Peripheral blood smear: 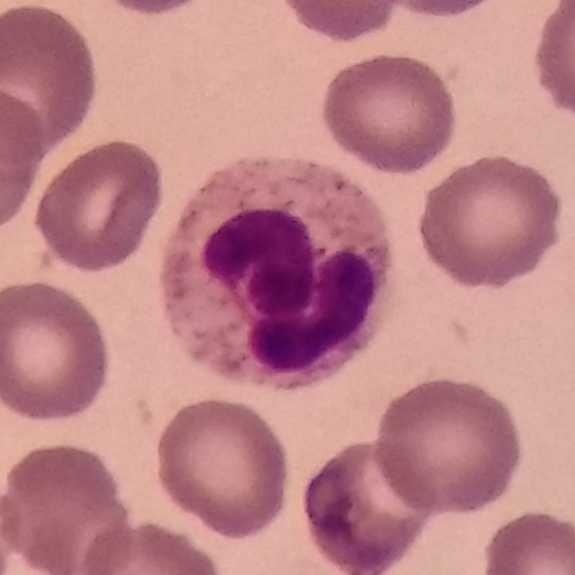 Impression — neutrophil.